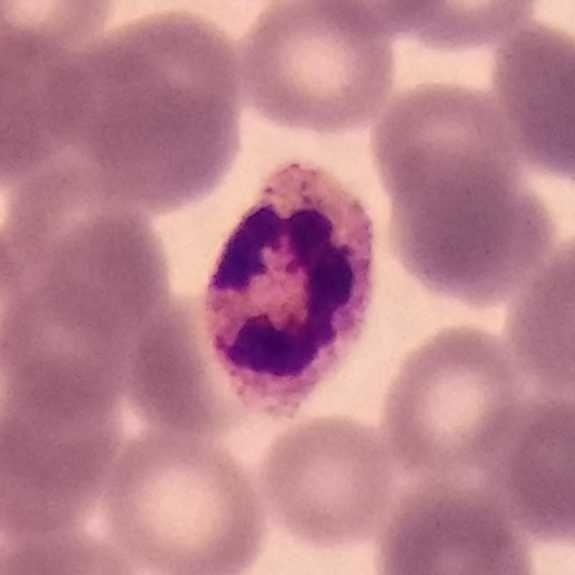 Q: Which type of white blood cell is this?
A: A neutrophil.
Peripheral blood smear; single white blood cell cropped from the smear photograph.